Peripheral blood smear; 575 by 575 pixels
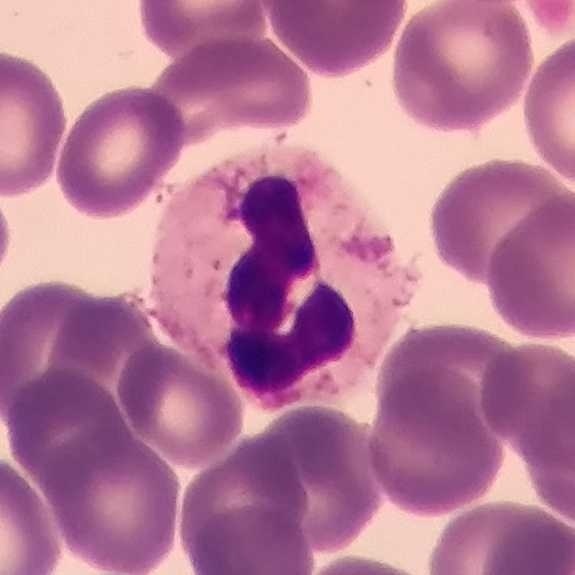The cell is neutrophil granulocyte.